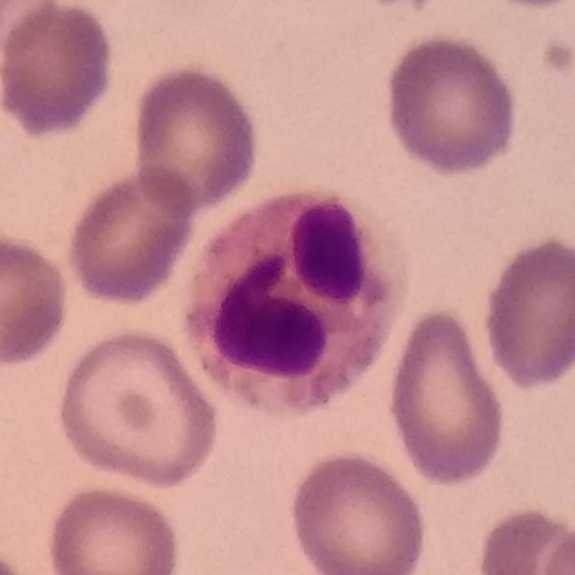

Specimen: peripheral blood smear.
Cell: neutrophil granulocyte.